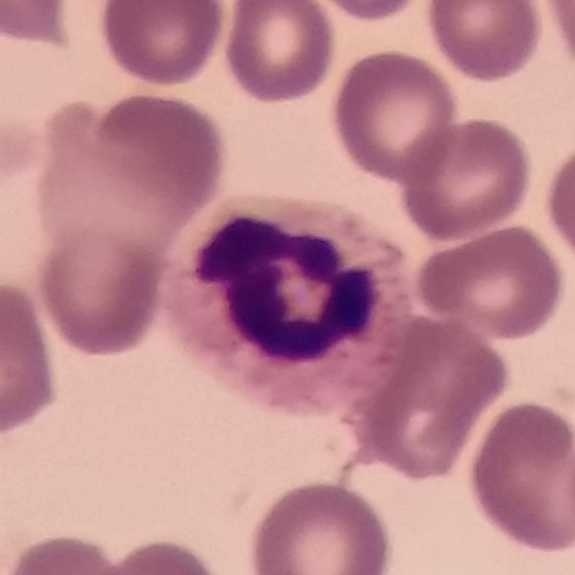

Image: Cropped to one leukocyte. Peripheral blood smear.
The classification is neutrophil.